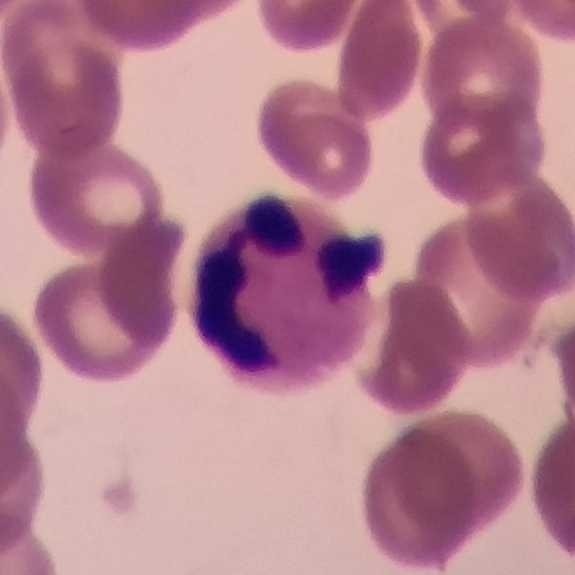Imaged at 100×. Peripheral blood film. This is a neutrophil.